Magnification 100× · peripheral blood film — 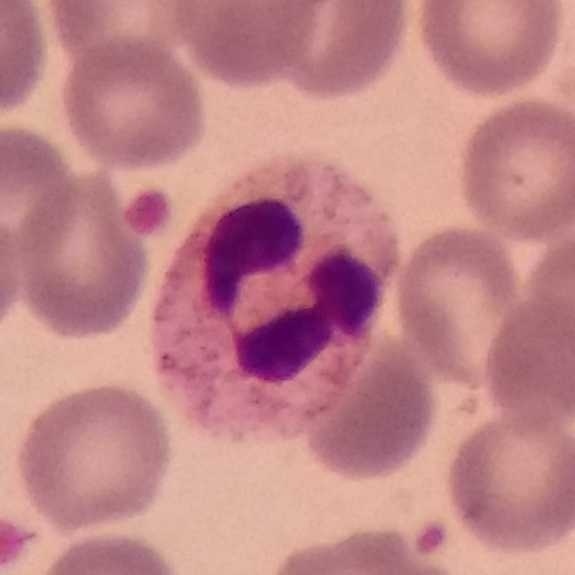
Morphology consistent with a neutrophilic granulocyte.